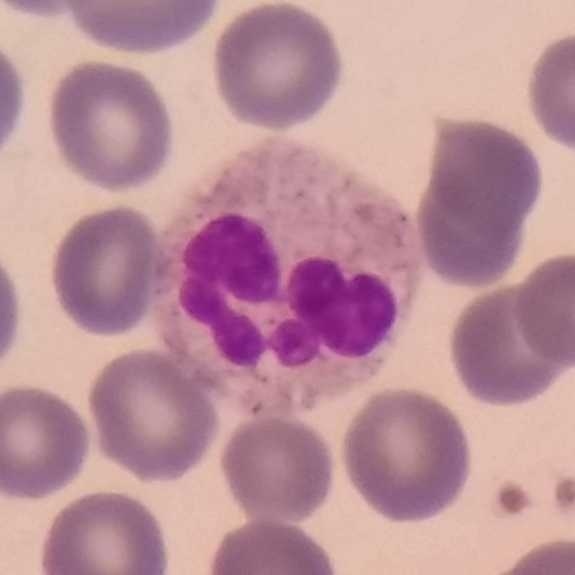 Specimen: peripheral blood film.
White blood cell type: neutrophil.
Lineage: myeloid.